Peripheral blood smear; 575 by 575 pixels; magnification 100×: 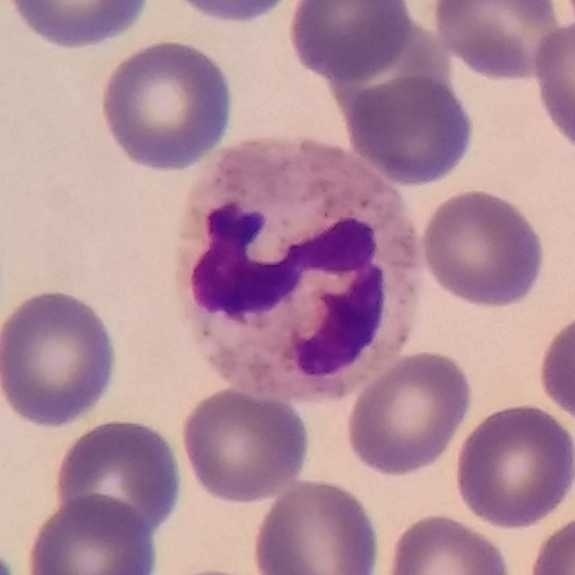Q: Classify this leukocyte.
A: It is a neutrophil granulocyte.